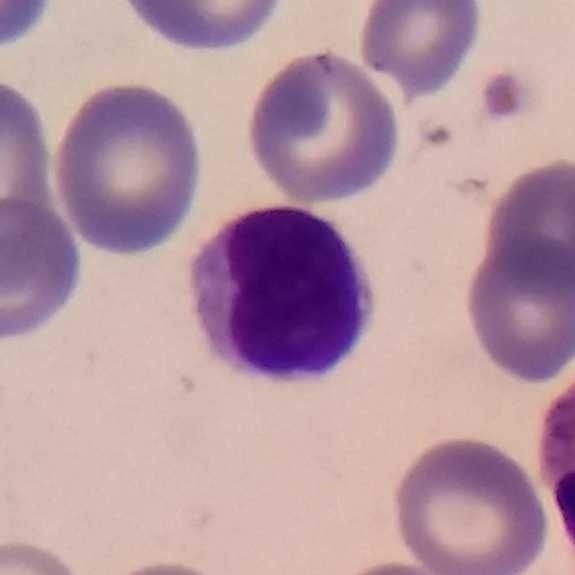
Single cell identified as a lymphocyte.

Preparation: Peripheral blood smear. Single-cell field.